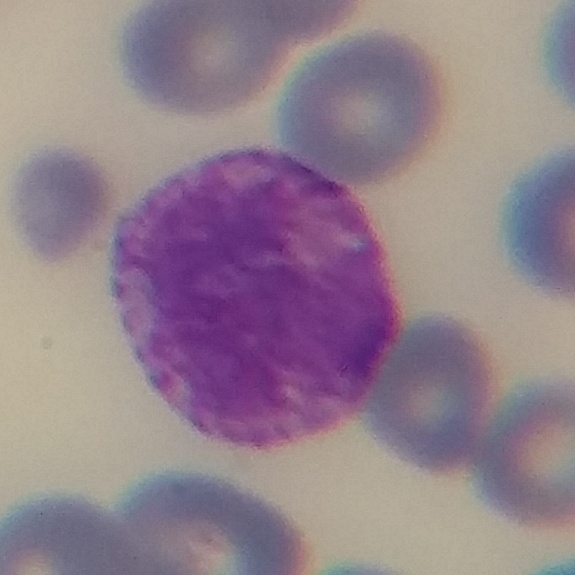
Basophil. Preparation: Peripheral blood smear.